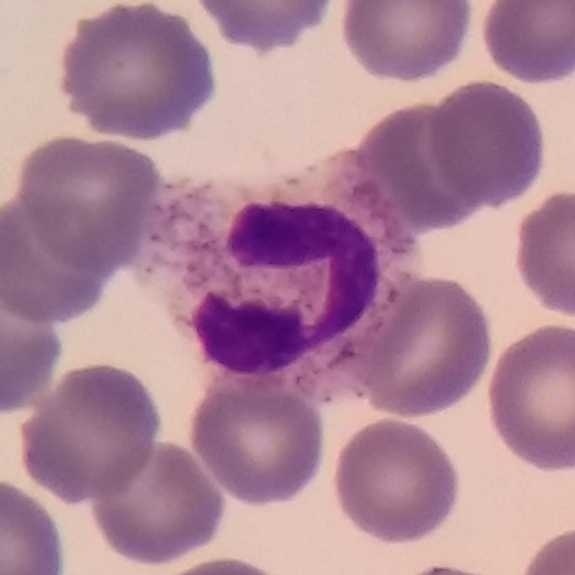 Acquisition: Peripheral blood film.

Morphological class = neutrophilic granulocyte.